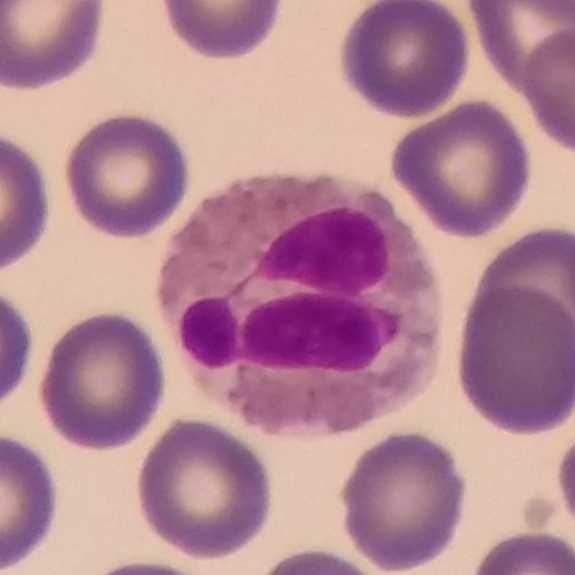
Cell type — eosinophil.